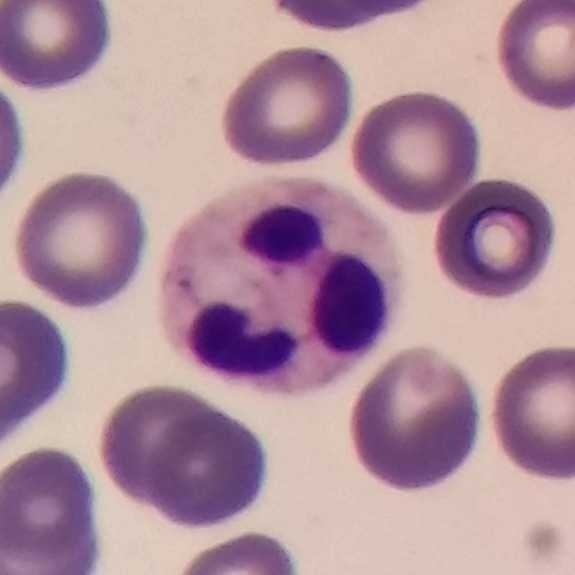

Preparation: Peripheral blood film.
Identified as a neutrophilic granulocyte.